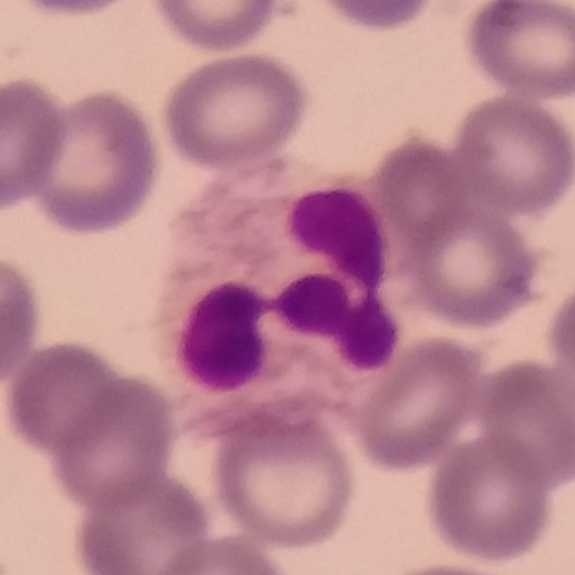

Neutrophilic granulocyte.
Peripheral blood smear.